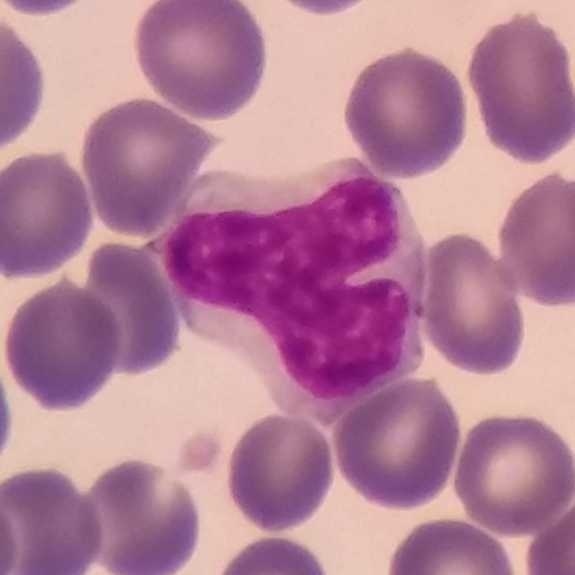Context: Imaged at 100× · 575 by 575 pixels · peripheral blood film.
Morphology consistent with a monocyte.